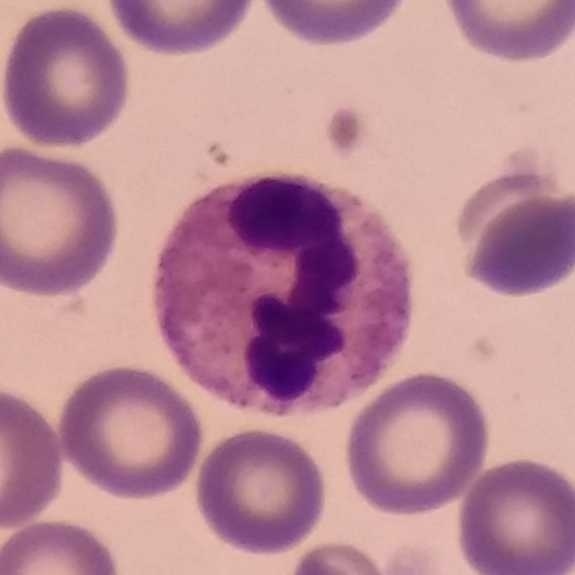 Morphology — neutrophil.

Image: Single-cell field · peripheral blood film.